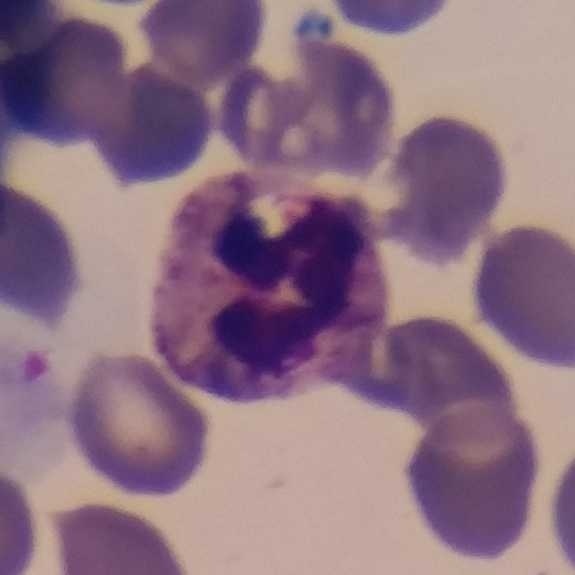

Morphology consistent with a neutrophil.